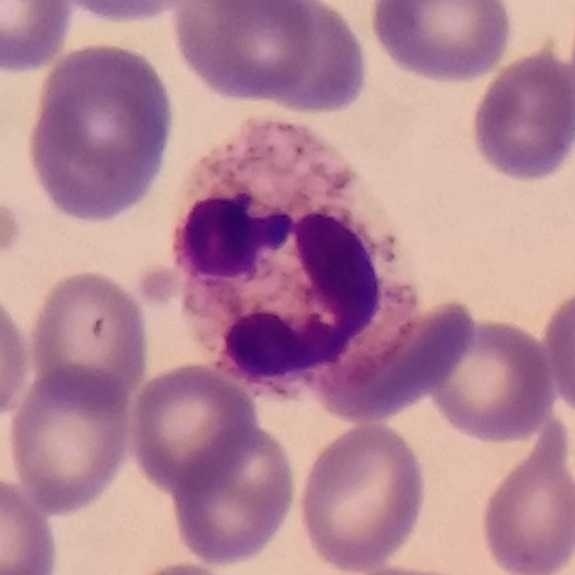

Morphology → neutrophil granulocyte. Peripheral blood smear.